Peripheral blood film; smartphone photomicrograph
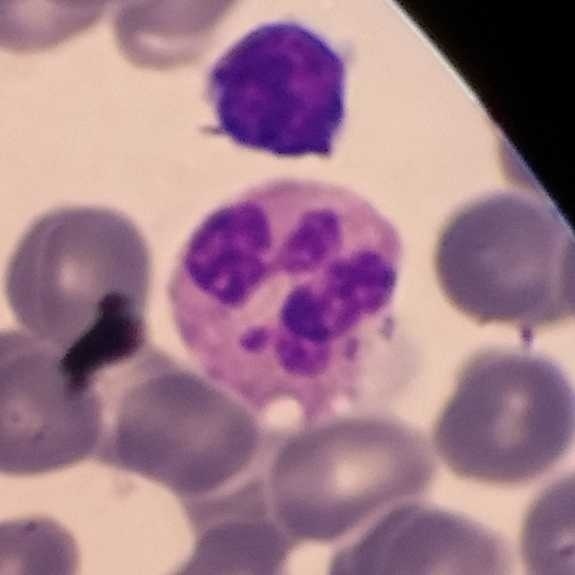Specimen: peripheral blood film.
Cell: neutrophil granulocyte.
Lineage: myeloid.